Giemsa-stained · peripheral blood smear
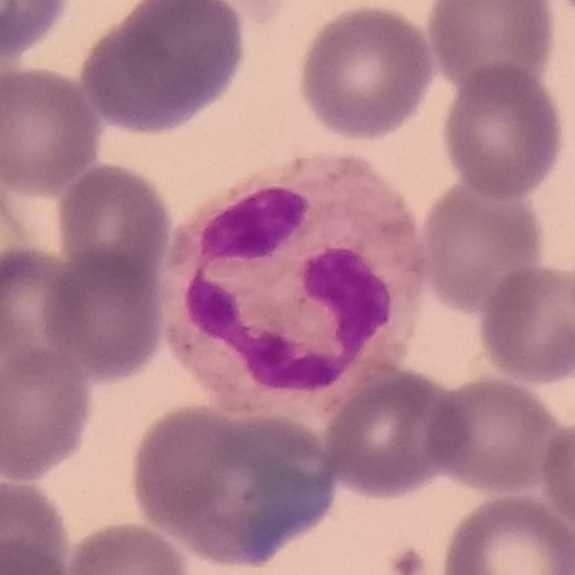 Morphology consistent with a neutrophilic granulocyte.